Peripheral blood film:
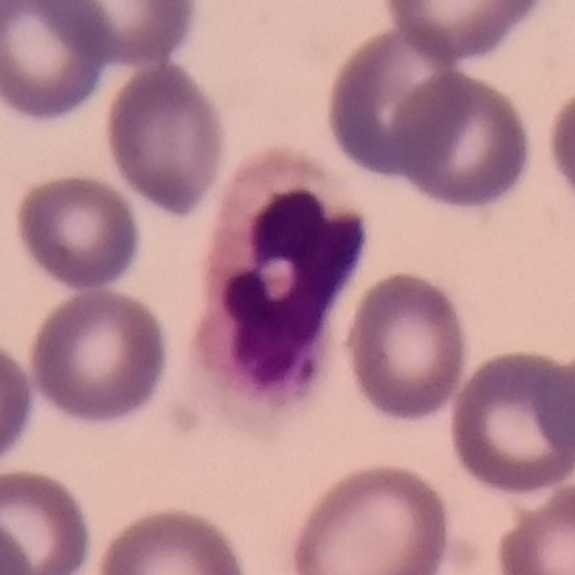
Morphology consistent with a neutrophil.